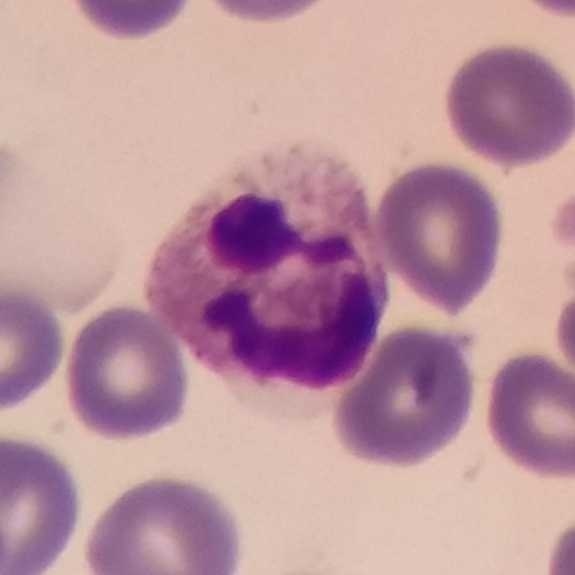
Phone-camera image taken through the microscope ocular; peripheral blood smear. Neutrophil granulocyte.